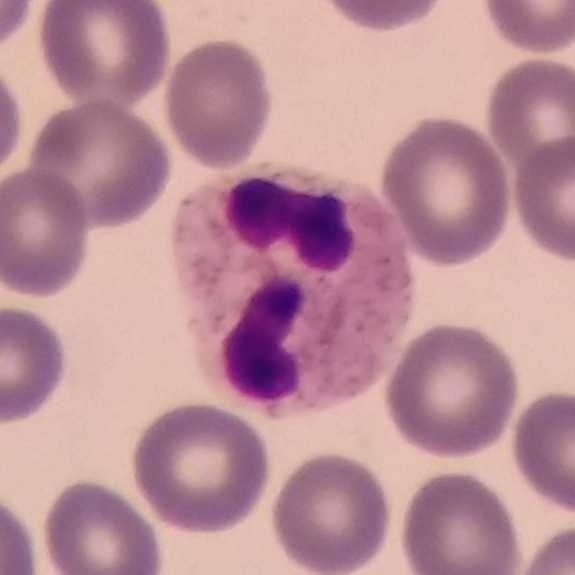

Q: Which type of white blood cell is this?
A: It is a neutrophil granulocyte.
Preparation: Single white blood cell cropped from the smear photograph. Stained with Giemsa. Peripheral blood film.